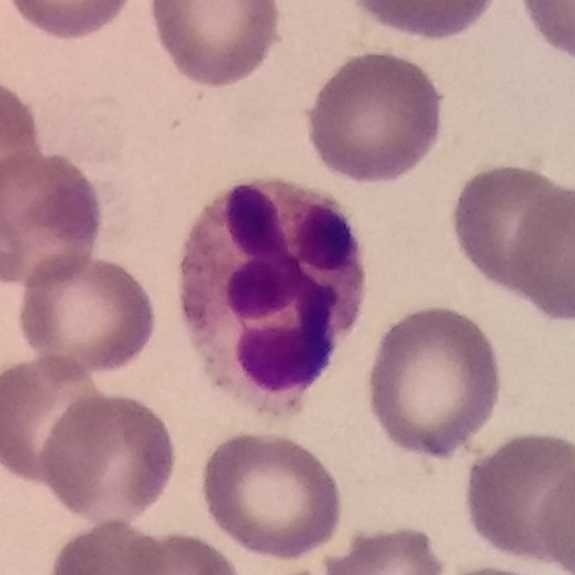

Morphology → neutrophilic granulocyte.

Context: Peripheral blood smear.